Peripheral blood film:
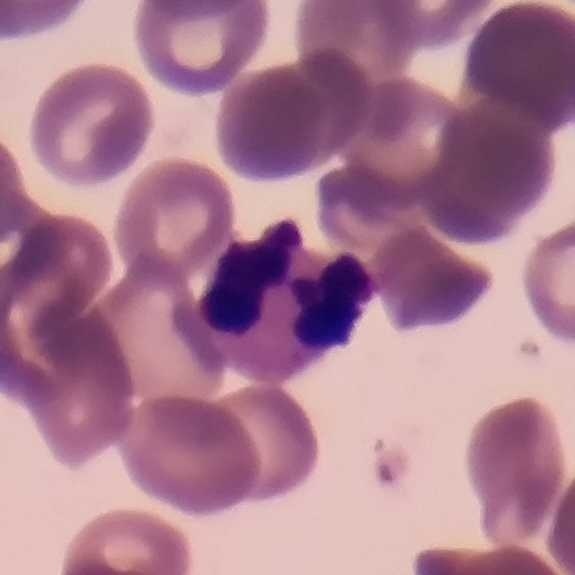

Impression — neutrophil granulocyte.